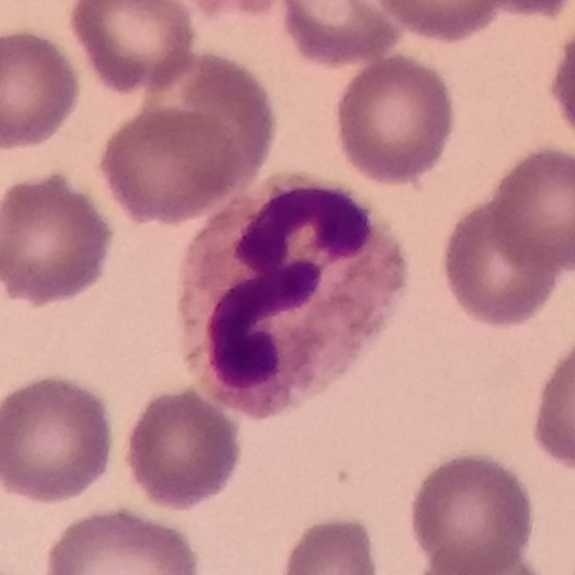

Single cell identified as a neutrophil.

Acquisition: Peripheral blood film.